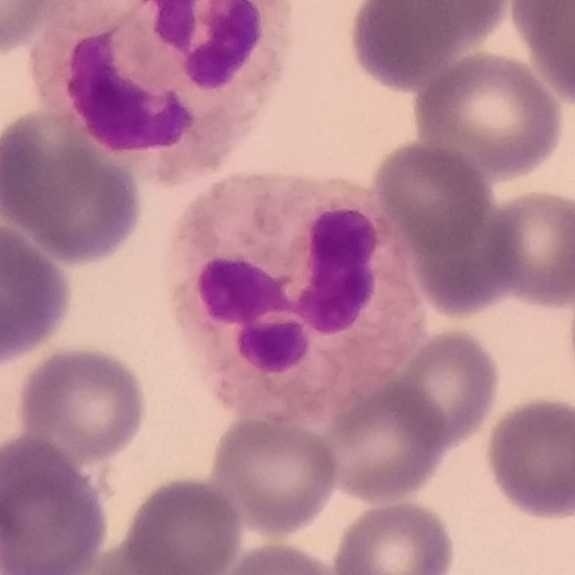

Image: Peripheral blood film.
The morphological class is neutrophil granulocyte.